Peripheral blood smear: 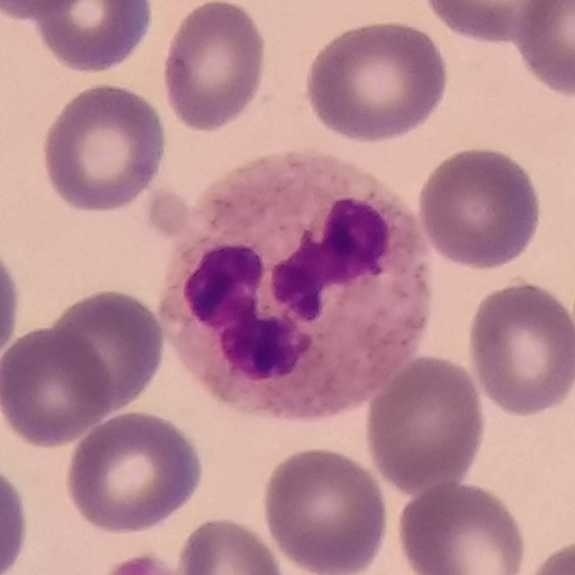Specimen: peripheral blood smear.
Morphological class: neutrophil granulocyte.
Lineage: myeloid.